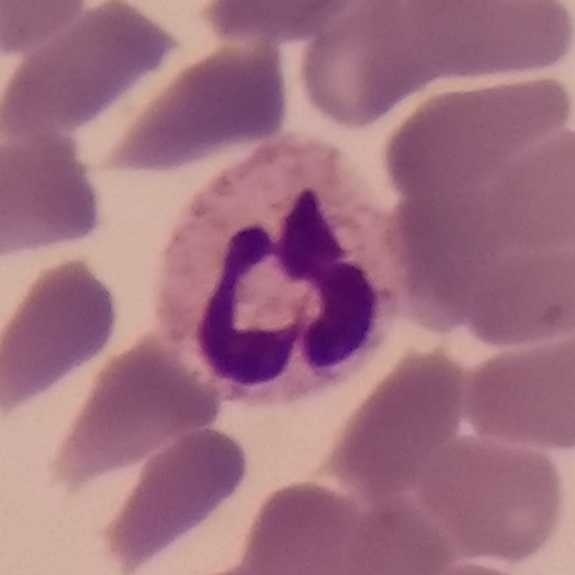

Image: Peripheral blood smear. Giemsa-stained.

{"cell_type": "neutrophil granulocyte"}